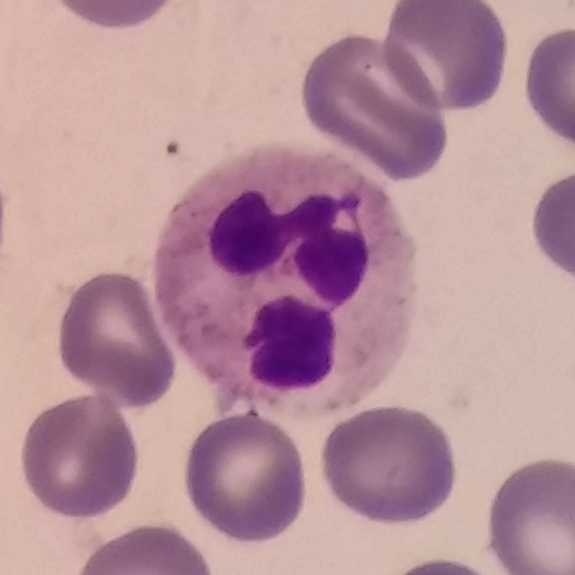Morphology → neutrophilic granulocyte.

Peripheral blood film.